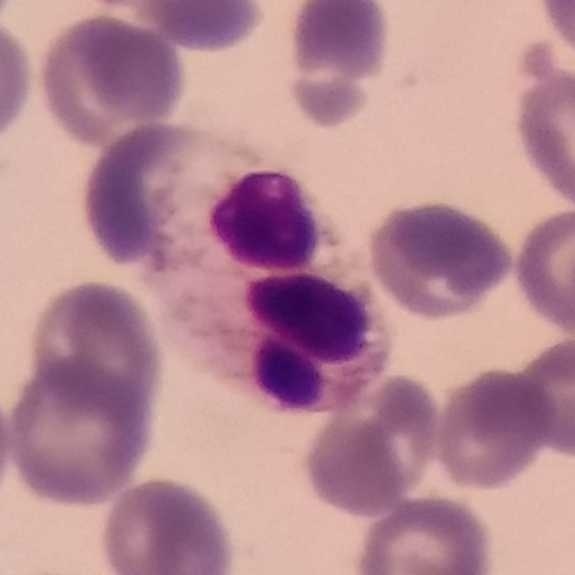

Giemsa stain; peripheral blood film. This is a neutrophil granulocyte.